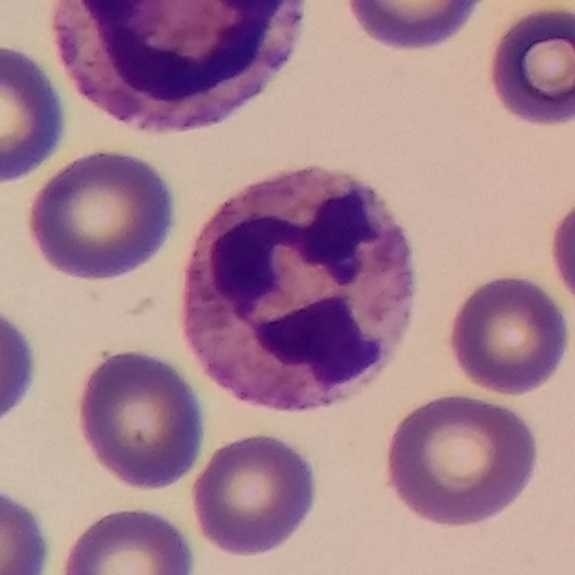Cell: neutrophil granulocyte.